Peripheral blood smear · magnification 100×:
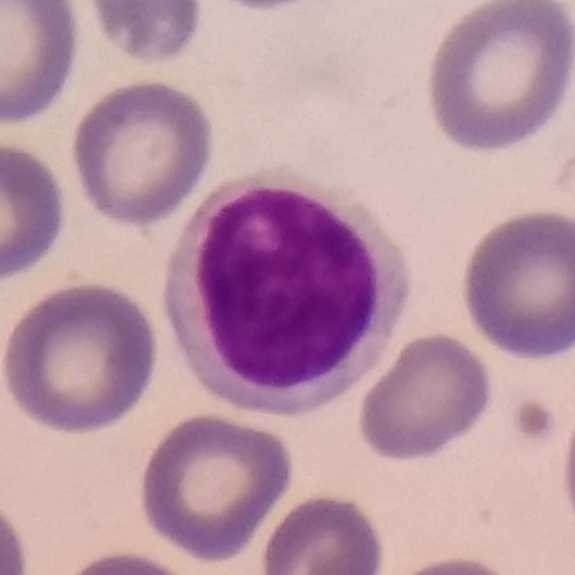 The white blood cell in this image is a lymphocyte.